Peripheral blood smear — 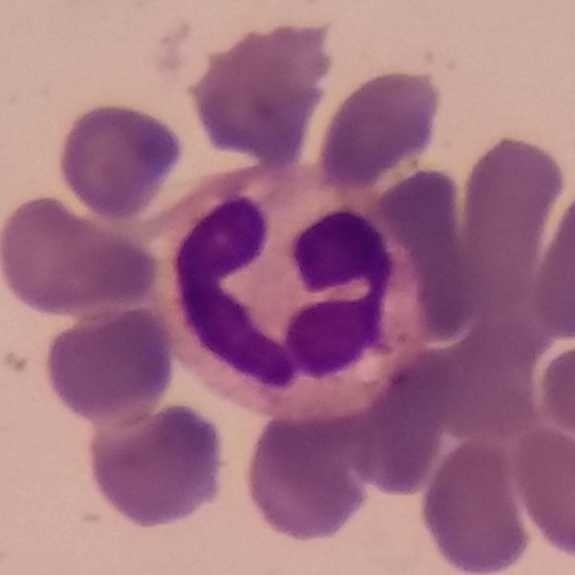Q: What is shown here?
A: This is a neutrophilic granulocyte.